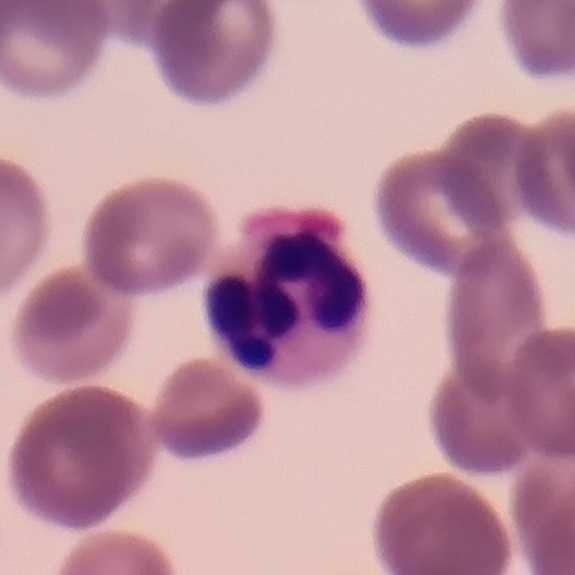
Morphological class: neutrophil.

Acquisition: Peripheral blood film.